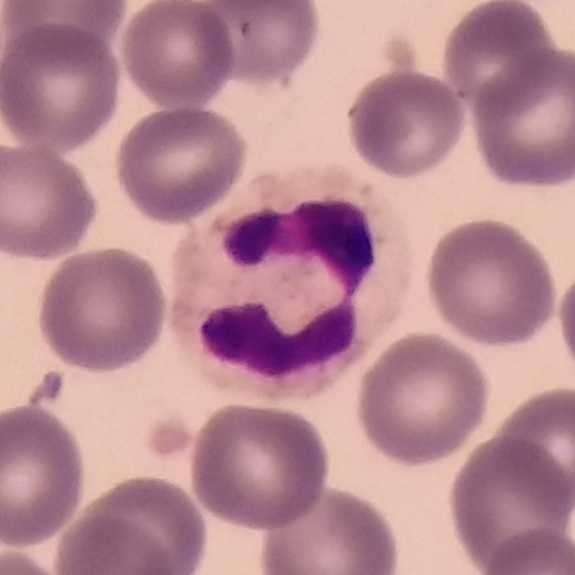The classification is neutrophil.
Image: Phone-camera image taken through the microscope ocular. Peripheral blood smear. Magnification 100×.